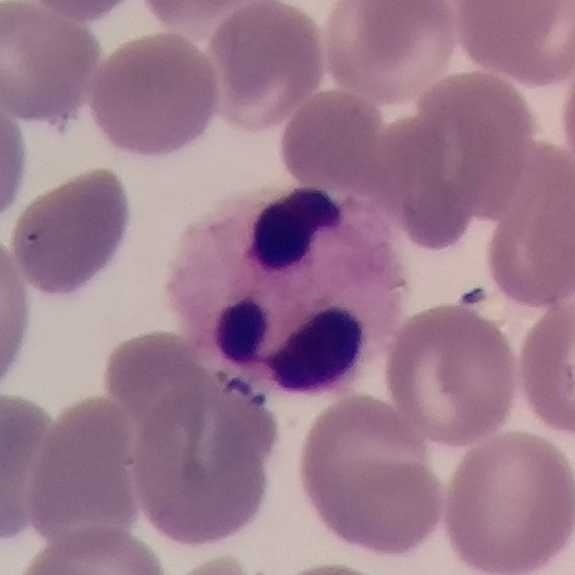

Morphology — neutrophil granulocyte.